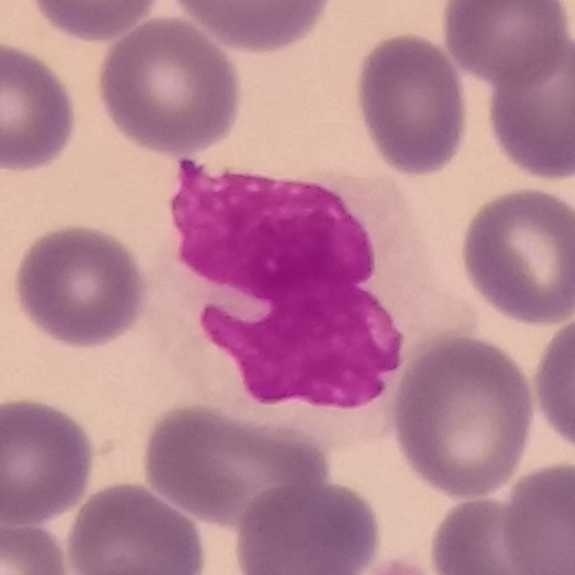The morphological class is monocyte.
Preparation: Peripheral blood film.